Peripheral blood smear.
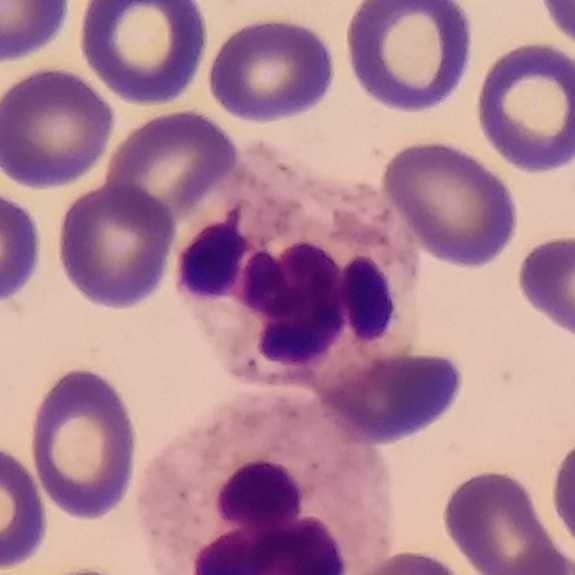 Single cell identified as a neutrophil granulocyte.